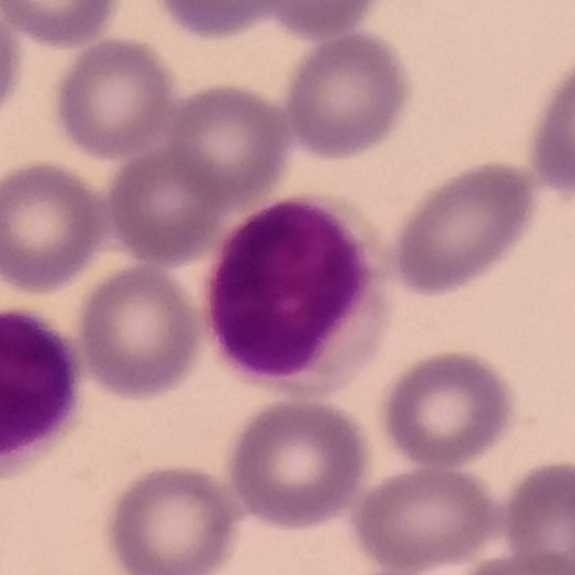

Peripheral blood smear.

{"cell_type": "lymphocyte", "lineage": "lymphoid"}